Peripheral blood smear: 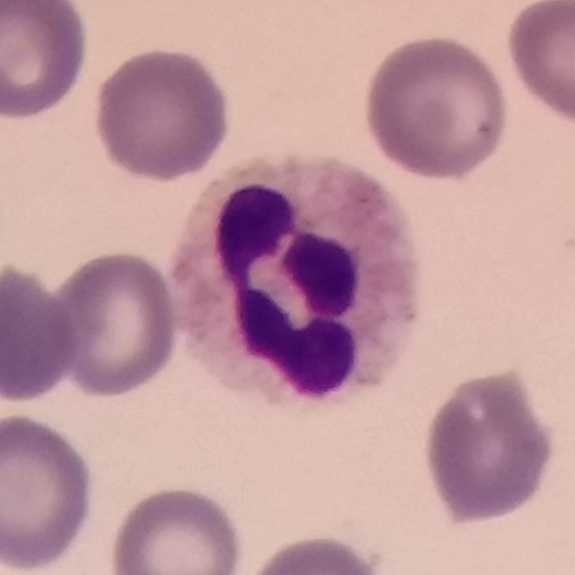
Q: Which cell type is shown here?
A: Neutrophil granulocyte.